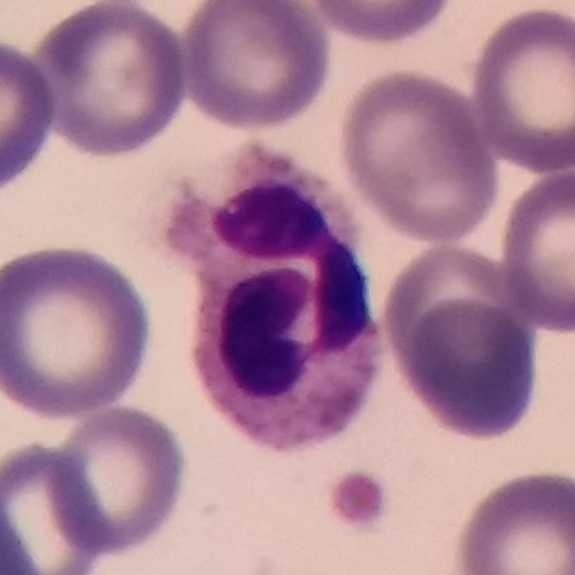 Morphology → neutrophil.
Image: Peripheral blood film.